Imaged at 100×; peripheral blood film — 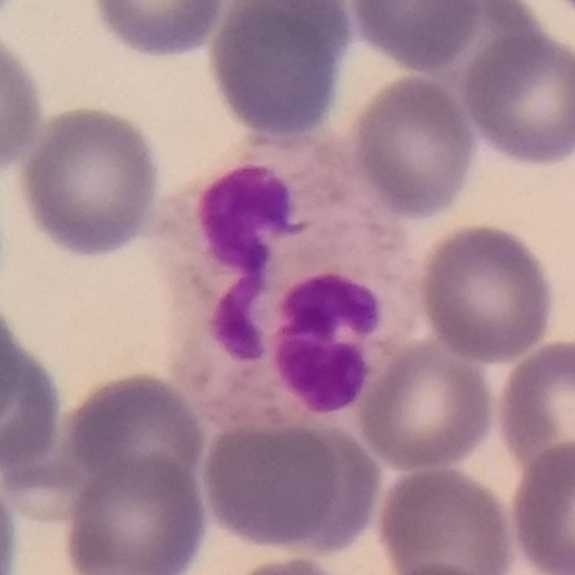A neutrophil granulocyte.